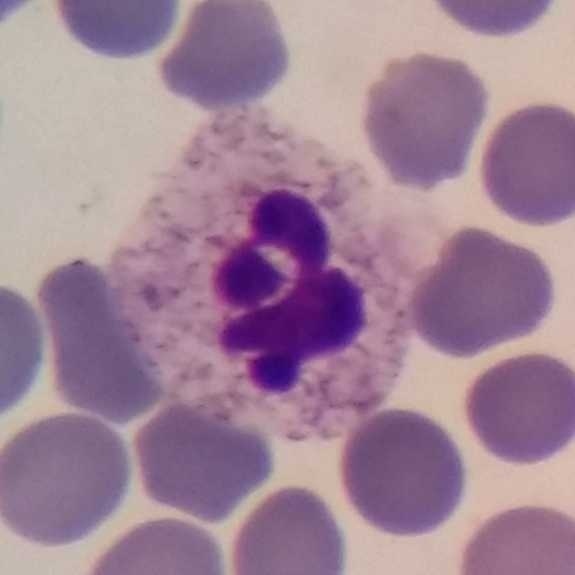
Acquisition: Peripheral blood smear. Classification = neutrophilic granulocyte.